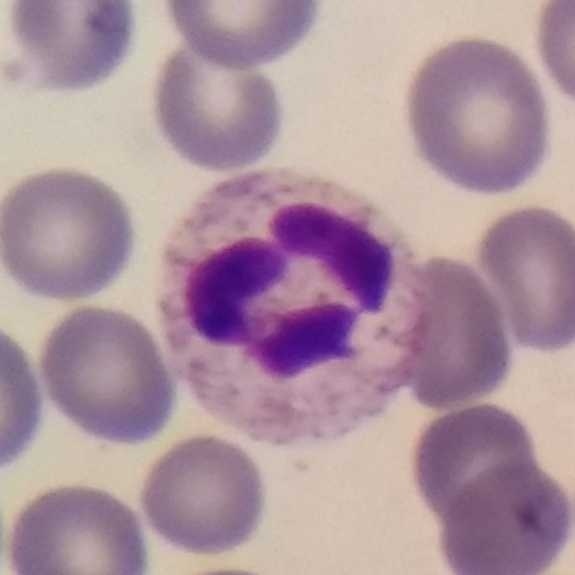The cell is neutrophilic granulocyte. Acquisition: Peripheral blood film.